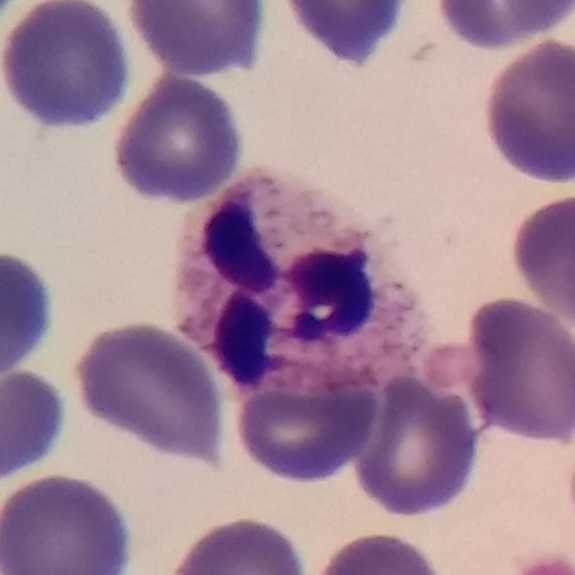Single cell identified as a neutrophil granulocyte.
Acquisition: Cropped to one leukocyte · peripheral blood film.